Peripheral blood smear — 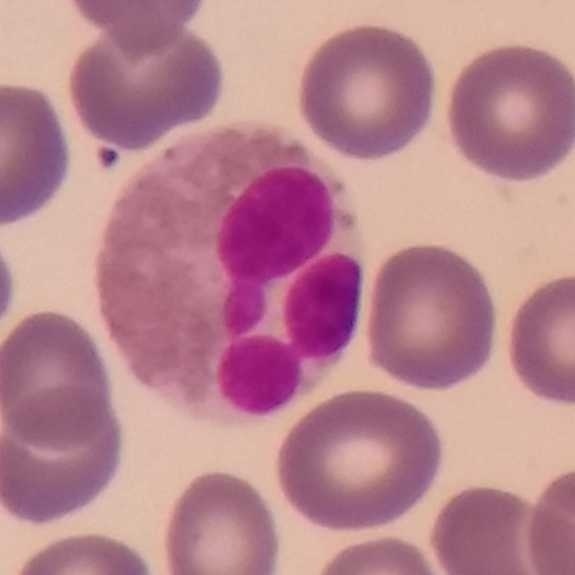 Q: Which cell type is shown here?
A: This is an eosinophilic granulocyte.